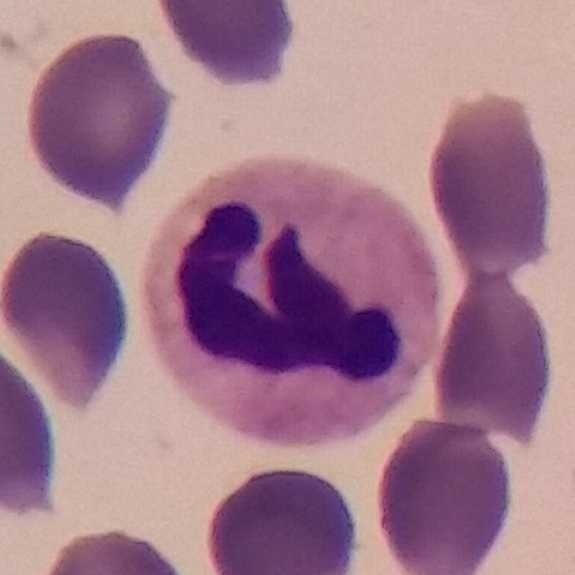 The classification is neutrophilic granulocyte.

Context: Stained with Giemsa. Peripheral blood smear.